Peripheral blood smear
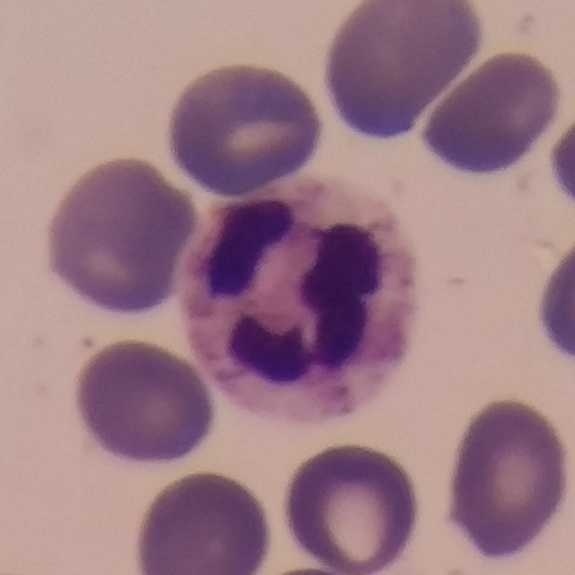
Q: Identify the cell.
A: Neutrophil granulocyte.